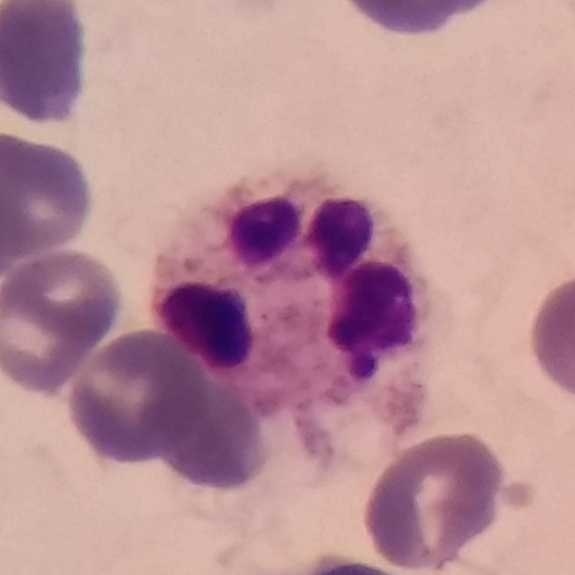Q: What type of cell is this?
A: Neutrophil granulocyte.